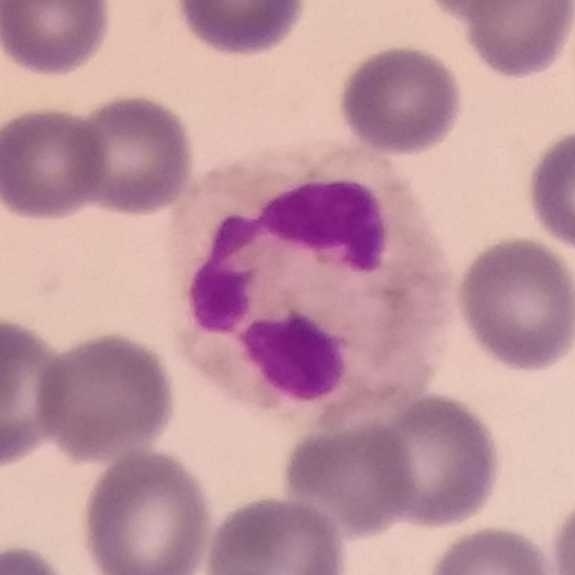

Cell = neutrophilic granulocyte.
Context: Peripheral blood smear.